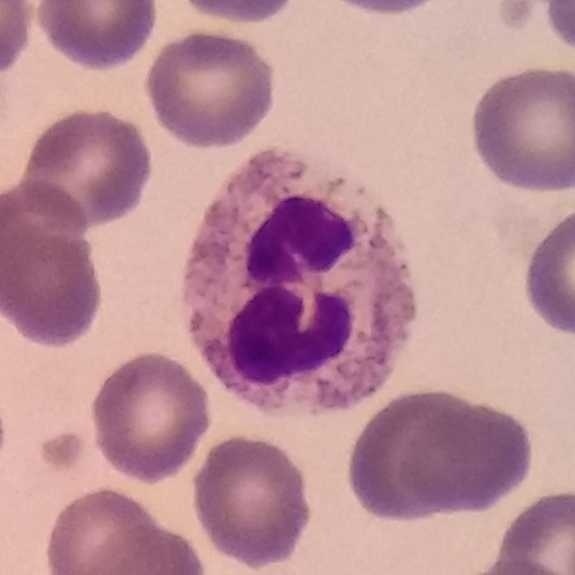

White blood cell from a peripheral blood smear: neutrophil granulocyte.